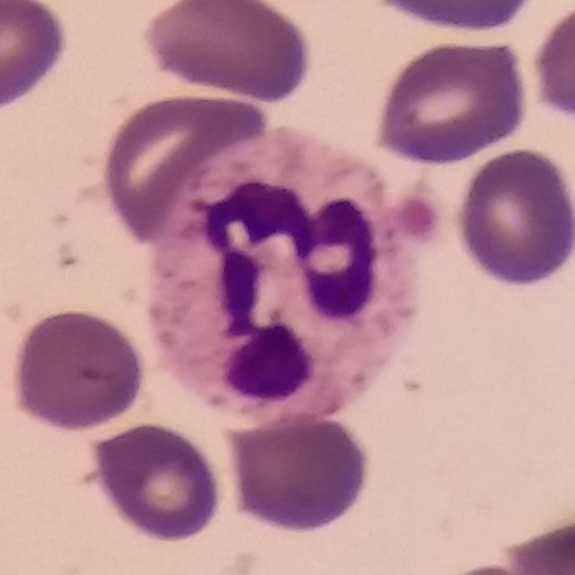

Giemsa stain; single-cell crop; peripheral blood film. Single cell identified as a neutrophilic granulocyte.